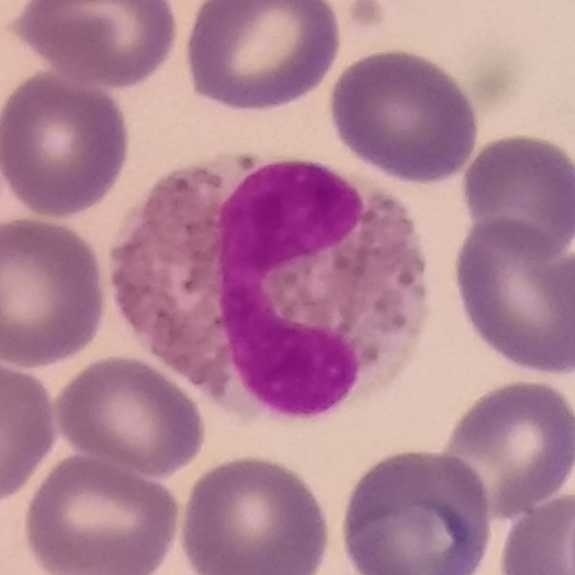Identified as an eosinophilic granulocyte.